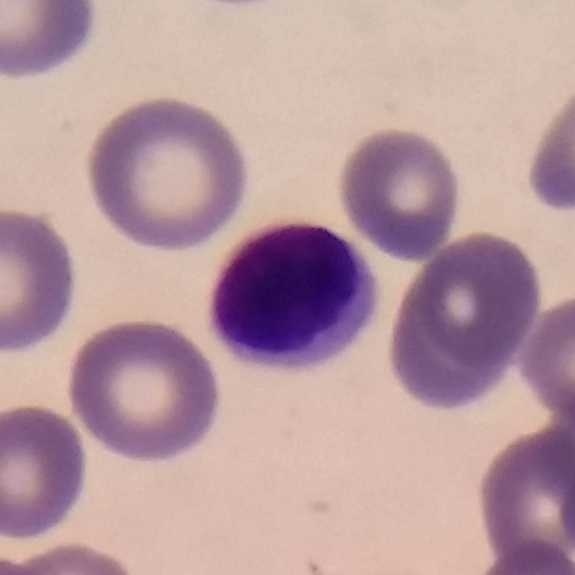
Lymphocyte.

Preparation: Peripheral blood smear; magnification 100×.